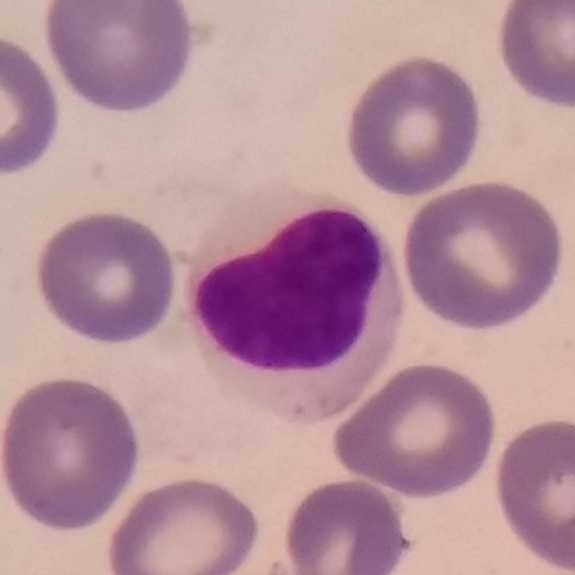100× magnification; Giemsa-stained; peripheral blood film. Morphological class = lymphocyte.